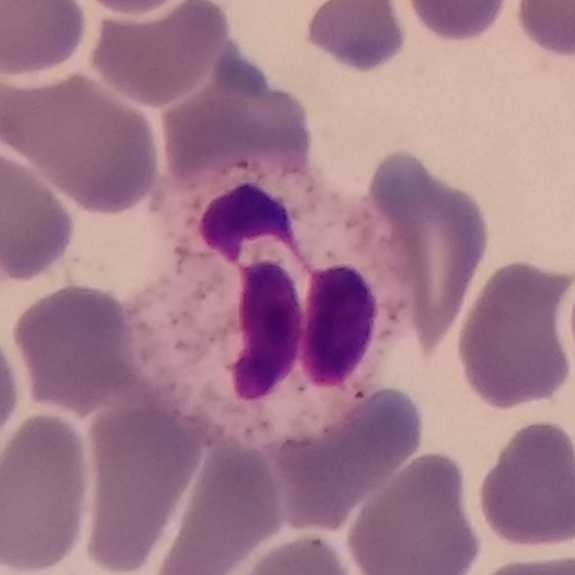 From a peripheral blood smear: a neutrophil granulocyte.